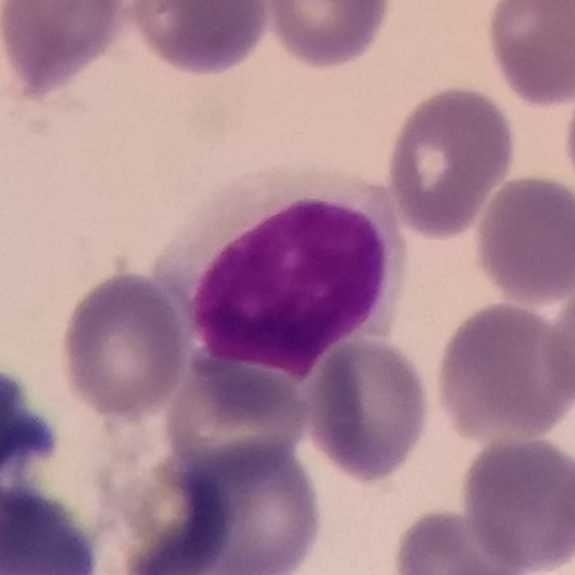From a peripheral blood smear: a lymphocyte.